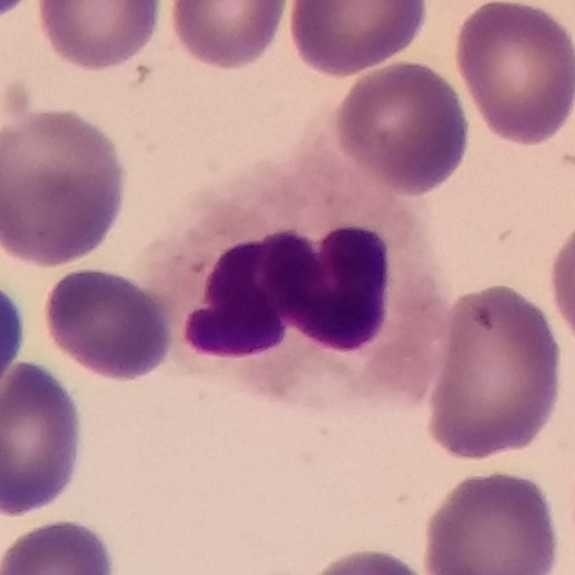

Identified as a neutrophil.